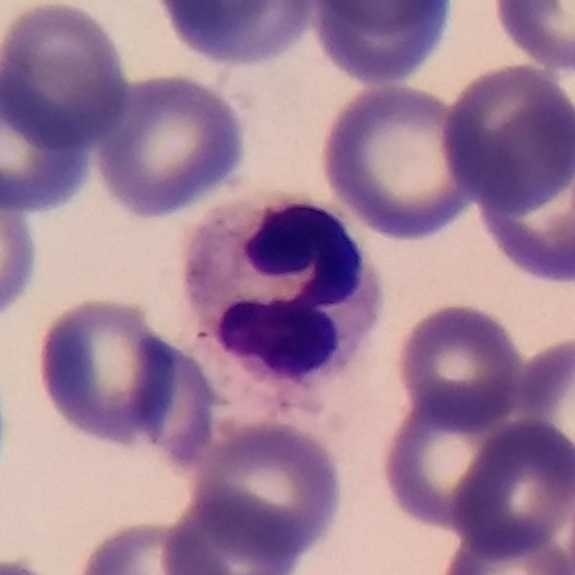575×575 px; peripheral blood smear; photographed through a light microscope with a smartphone camera. The white blood cell in this image is a neutrophil granulocyte.